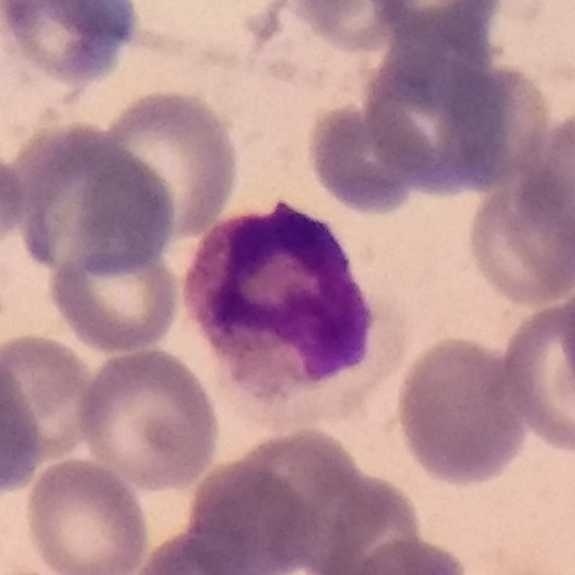 The white blood cell type is neutrophil granulocyte.